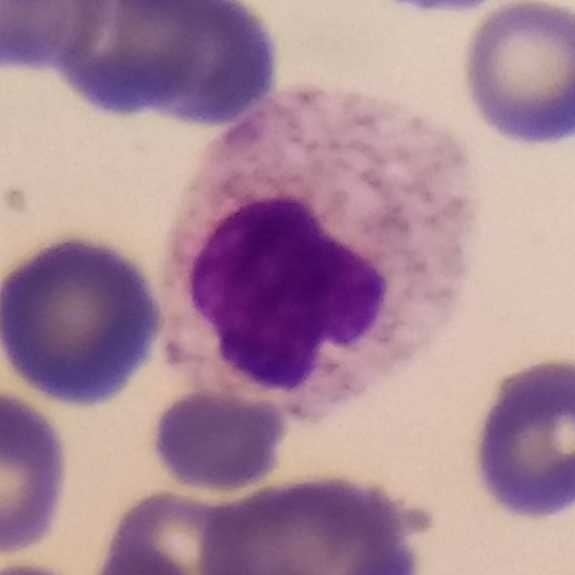Impression — neutrophilic granulocyte. Peripheral blood film.